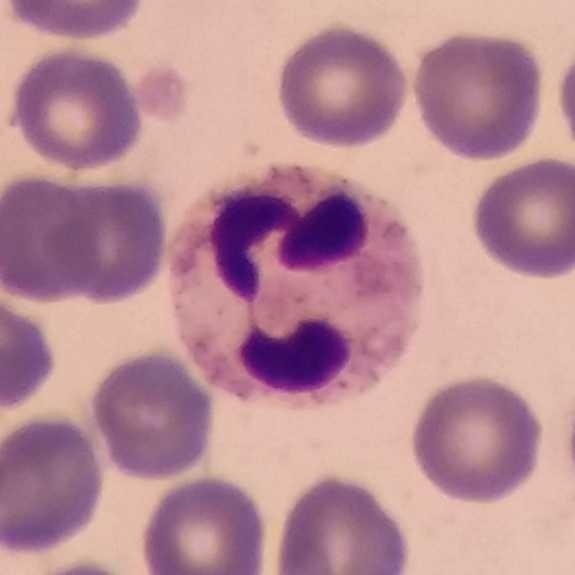
Image: Smartphone camera mounted on the microscope eyepiece; single-cell field; peripheral blood smear.

Neutrophil granulocyte.